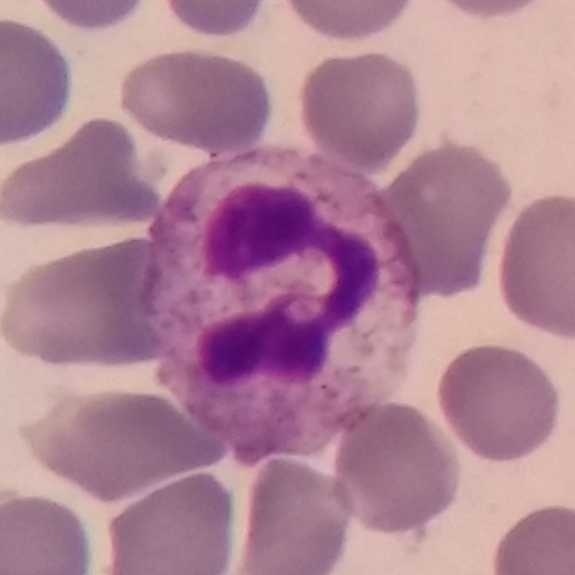
Morphology → neutrophilic granulocyte.

Image: Peripheral blood film. 575 by 575 pixels.